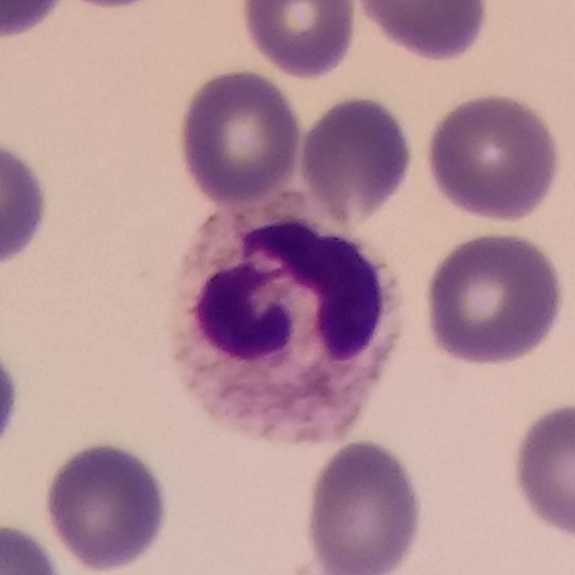Image: Peripheral blood smear · single-cell crop.
A neutrophil granulocyte.